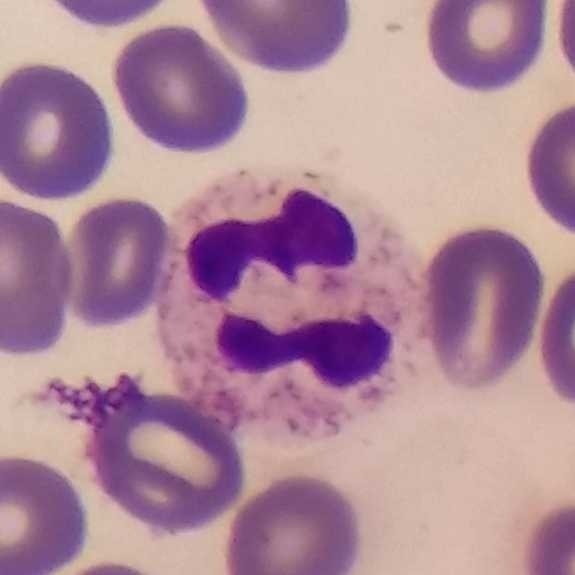Context: Magnification 100× · peripheral blood film · smartphone camera mounted on the microscope eyepiece.

Impression → neutrophil.